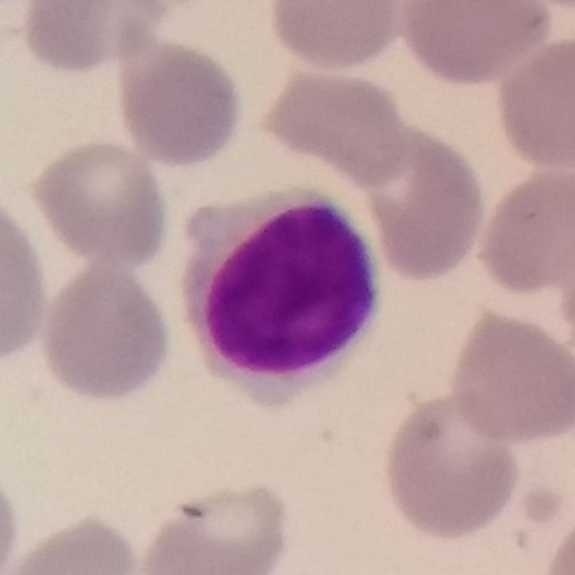
Preparation: Peripheral blood film.

Morphology consistent with a lymphocyte.